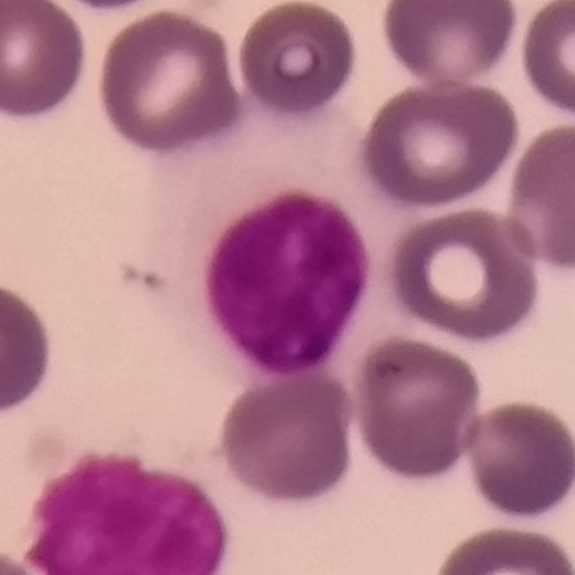
The cell is lymphocyte.